Peripheral blood smear.
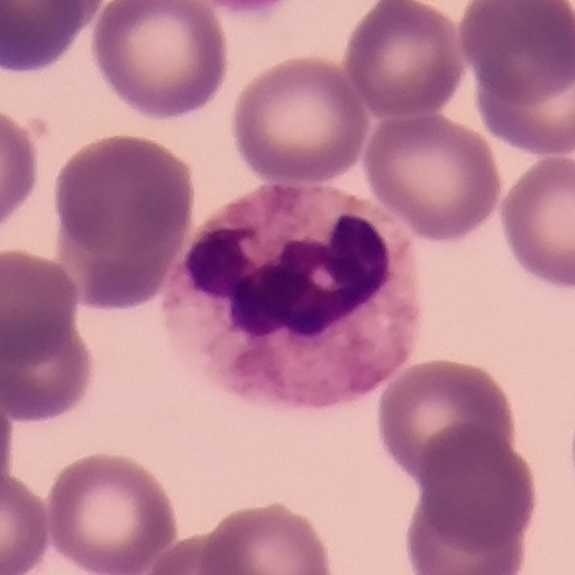

Specimen: peripheral blood smear.
Cell: neutrophilic granulocyte.
Lineage: myeloid.